Magnification 100×; peripheral blood smear.
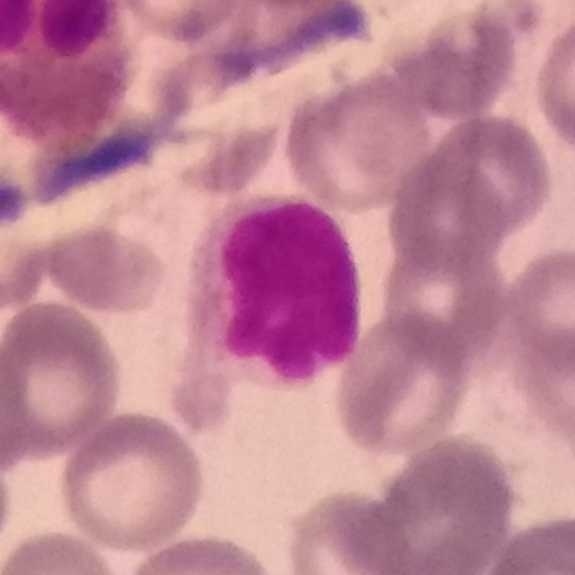
The white blood cell type is lymphocyte.